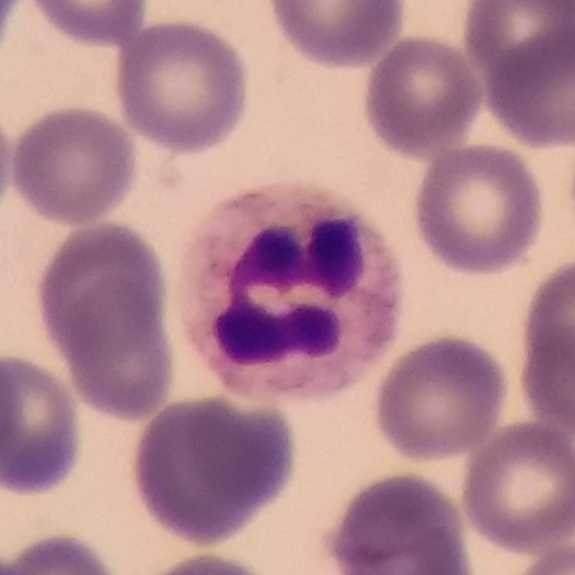Peripheral blood smear showing a neutrophil.